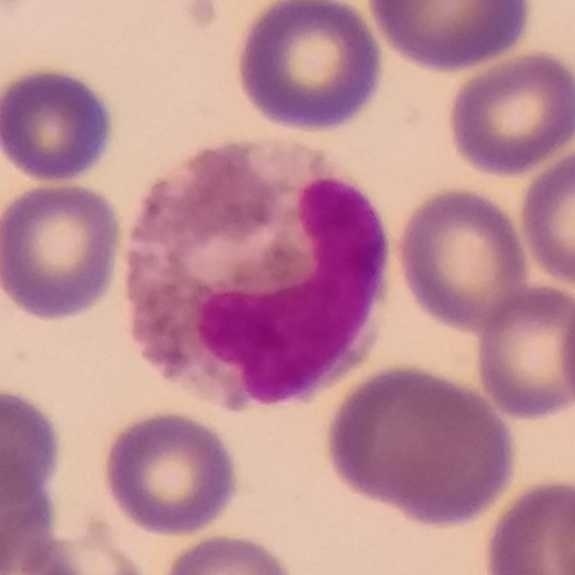

Context: Peripheral blood smear. This is an eosinophil.